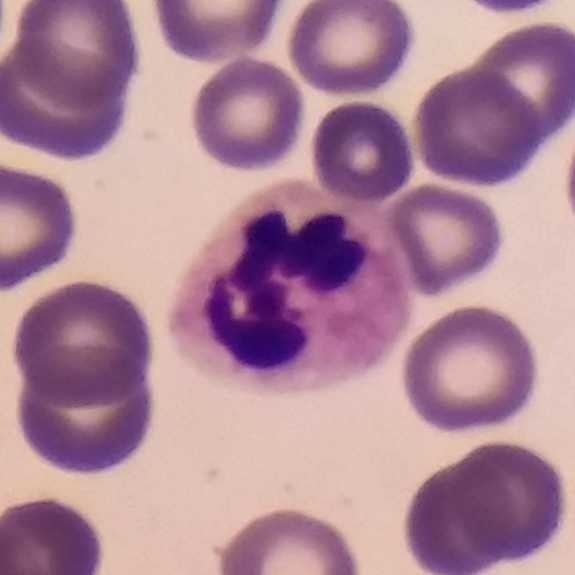Morphology → neutrophil granulocyte.